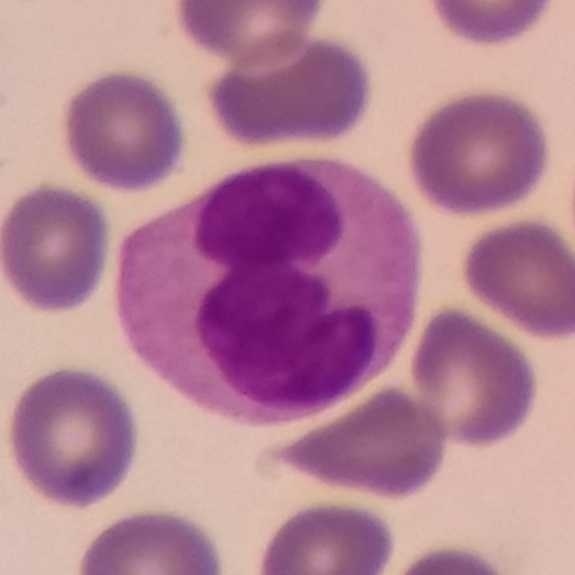

Single cell identified as a monocyte.